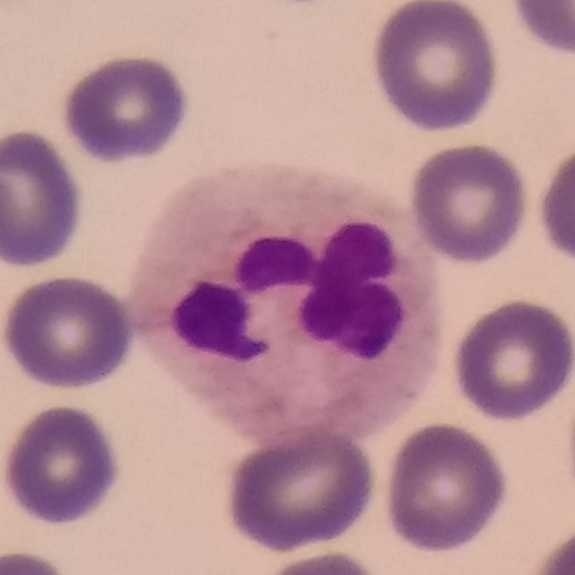Specimen: peripheral blood film.
Cell: neutrophil.